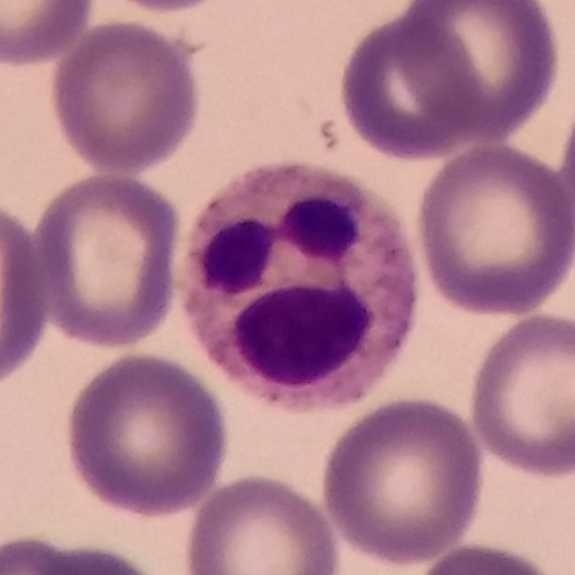Q: What type of cell is this?
A: This is a neutrophil.